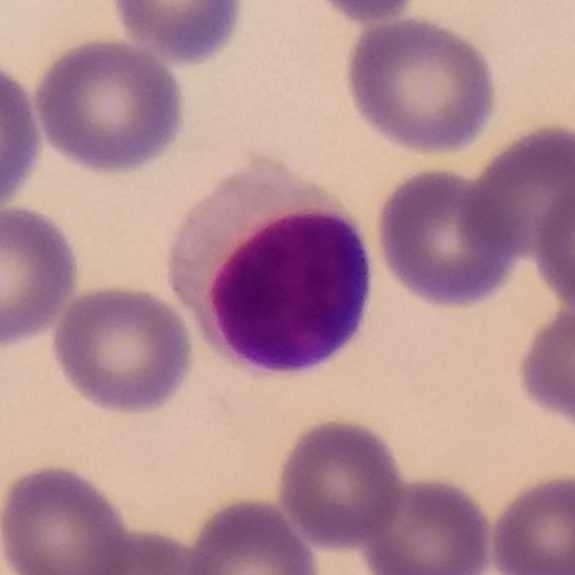 Showing a lymphocyte.